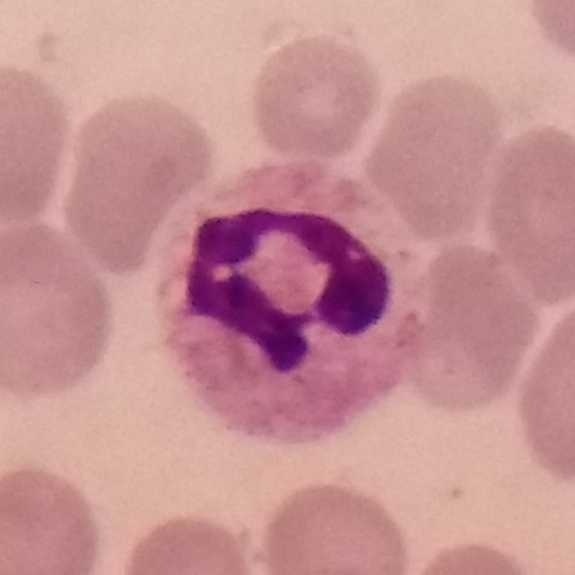

Context: Peripheral blood smear.

A neutrophil granulocyte.